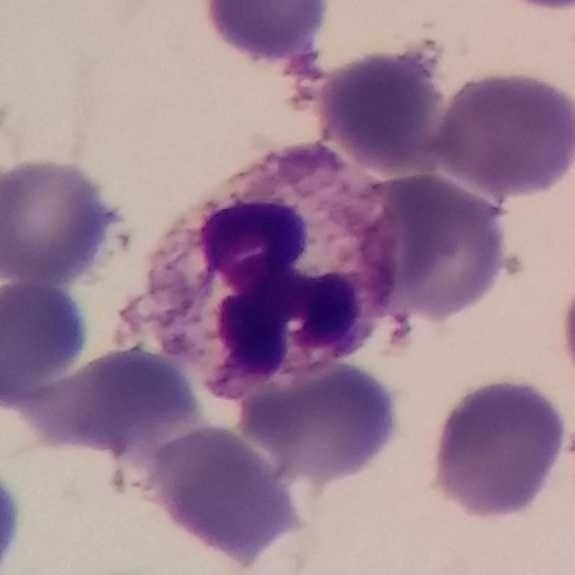Morphological class: neutrophil granulocyte.